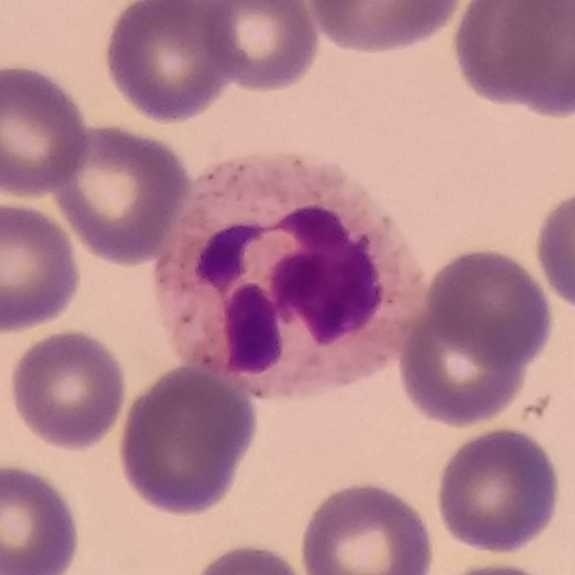
Context: Peripheral blood film · photographed through a light microscope with a smartphone camera.

Cell: neutrophil.